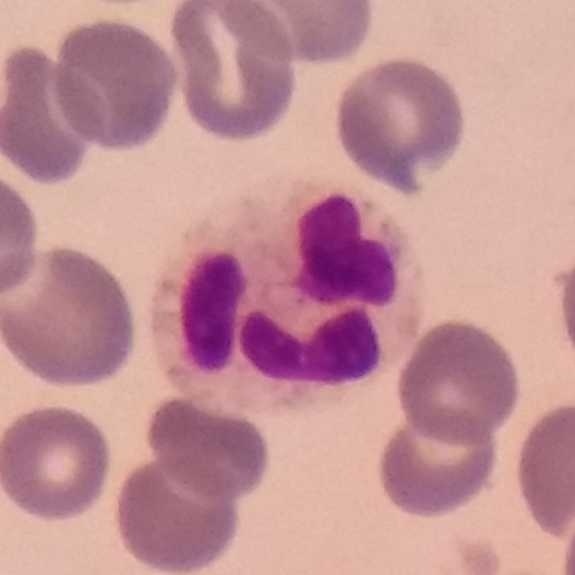
Specimen: peripheral blood film.
White blood cell type: neutrophilic granulocyte.